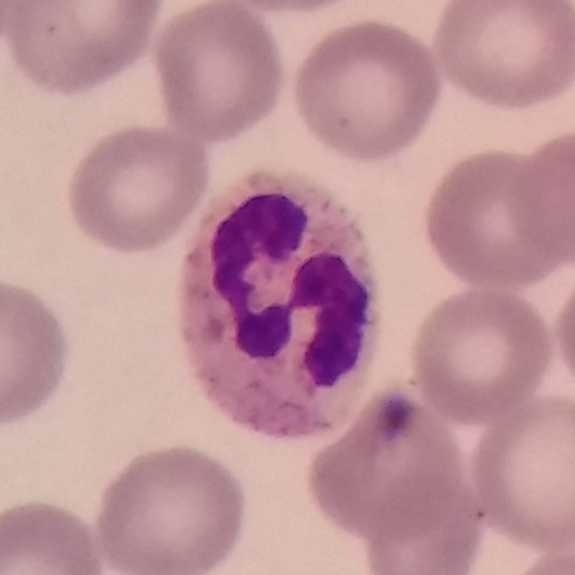

Peripheral blood film, single cell — neutrophilic granulocyte.